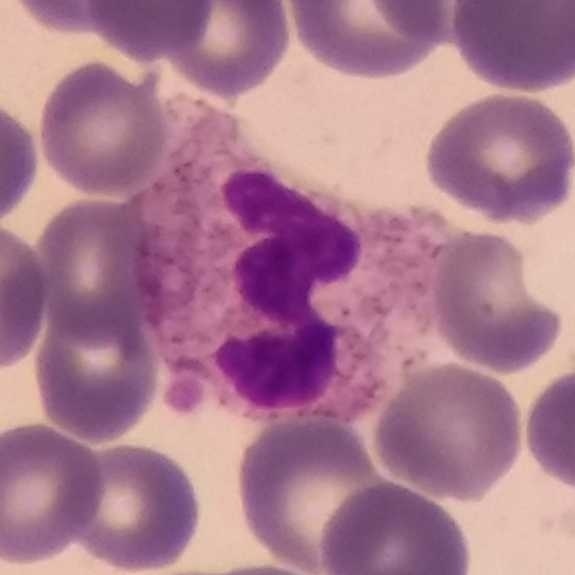
Image: Imaged at 100× · cropped to one leukocyte · peripheral blood film.

White blood cell type: neutrophilic granulocyte.